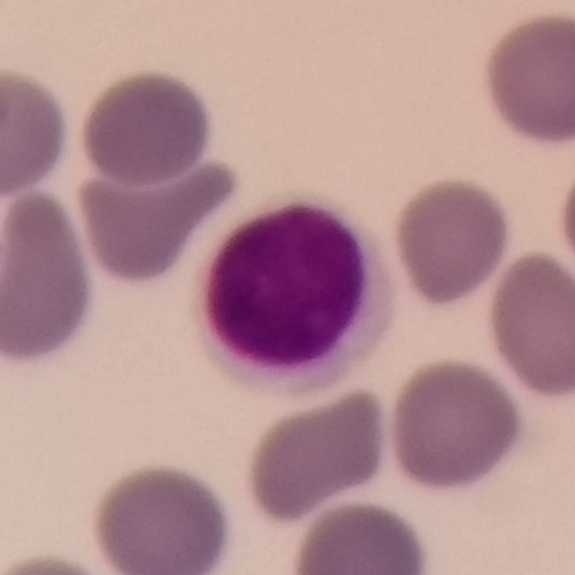

Peripheral blood smear showing a lymphocyte.